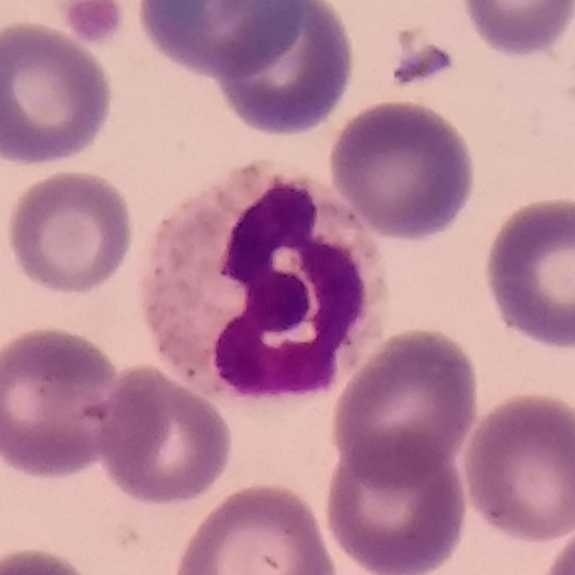
This is a neutrophil.